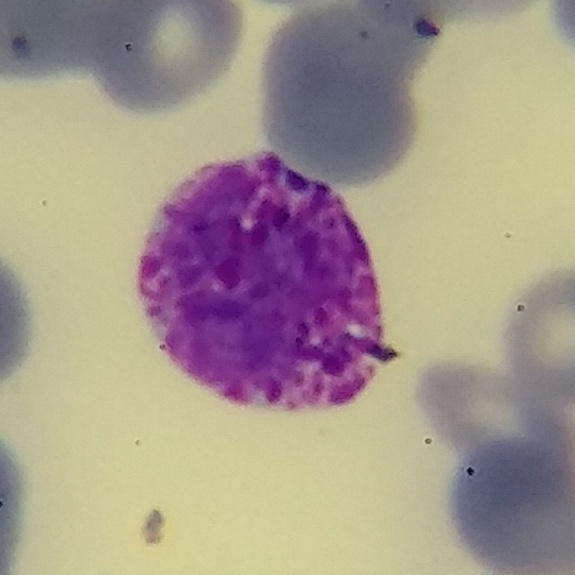

The white blood cell in this image is a basophilic granulocyte.
Peripheral blood film; photographed through a light microscope with a smartphone camera.